Peripheral blood smear:
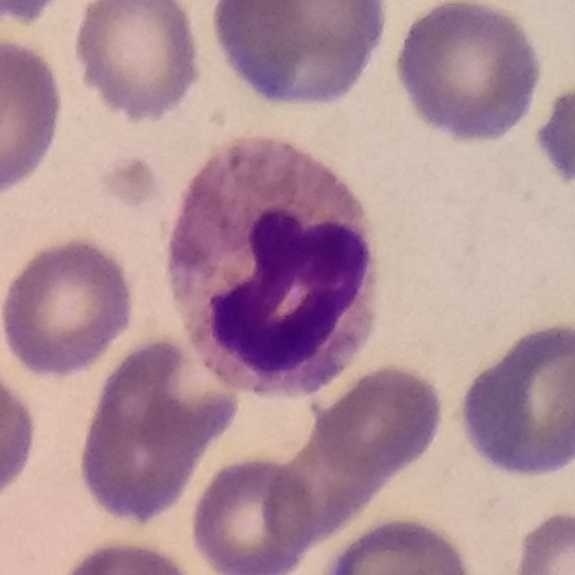

Q: What type of cell is this?
A: This is a neutrophilic granulocyte.